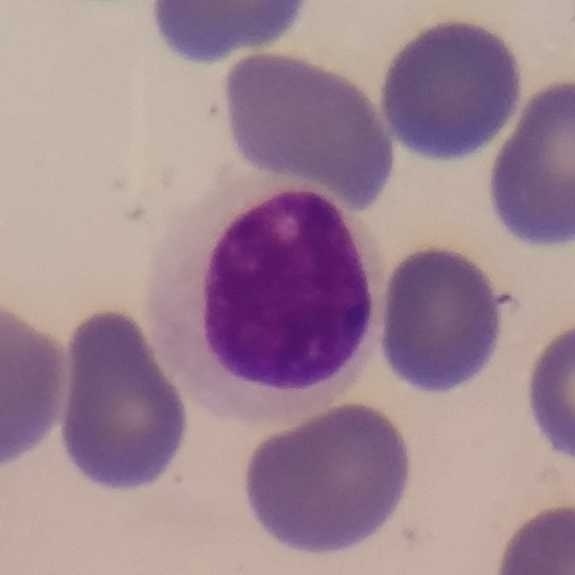
Q: What cell is this?
A: It is a lymphocyte.